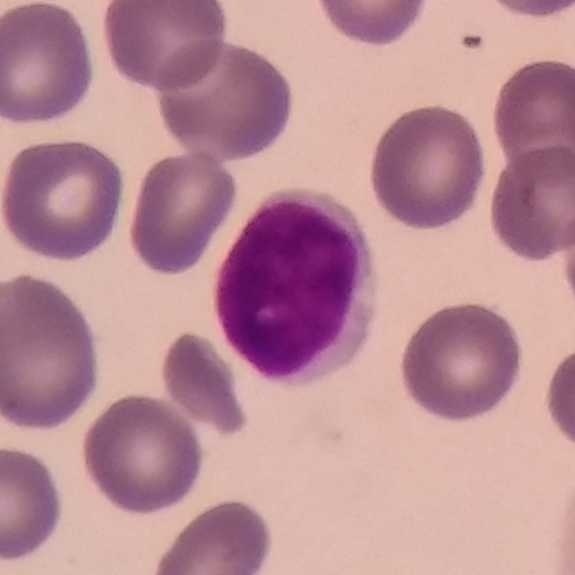

The cell is lymphocyte. Context: Single white blood cell cropped from the smear photograph · peripheral blood film · 100× magnification.